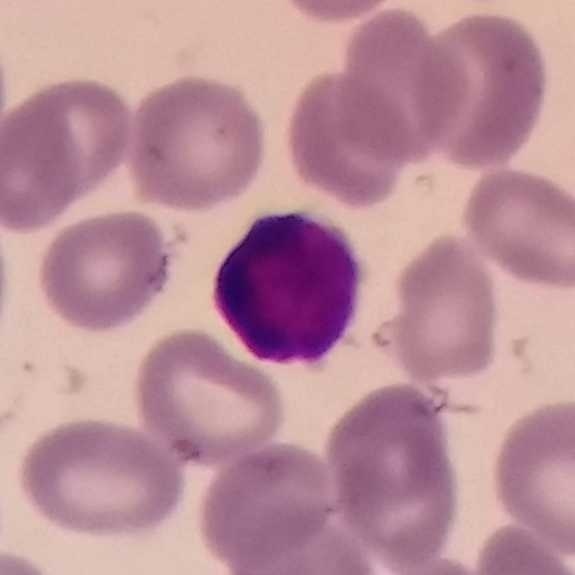
Cell = lymphocyte.

Peripheral blood smear.